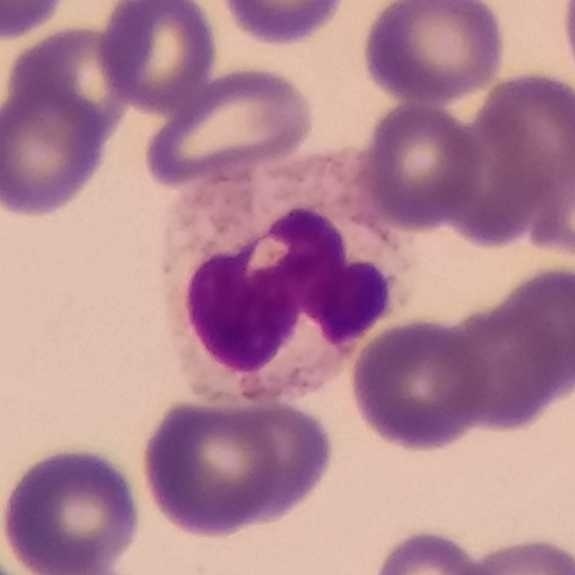
Peripheral blood smear.

The white blood cell in this image is a neutrophil granulocyte.